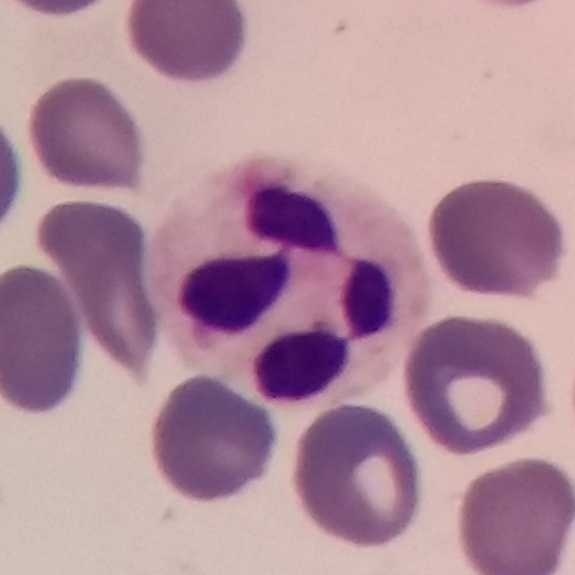

Cell type = neutrophilic granulocyte.
Preparation: Single white blood cell cropped from the smear photograph; peripheral blood smear.